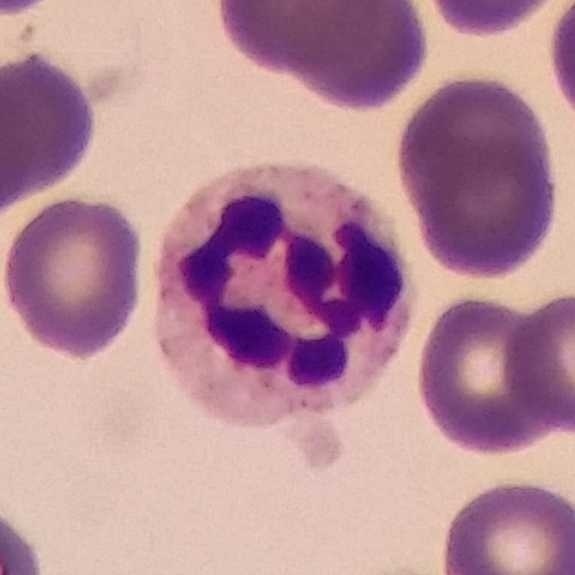Context: 100× magnification. Peripheral blood smear.

Cell: neutrophil.